Peripheral blood film — 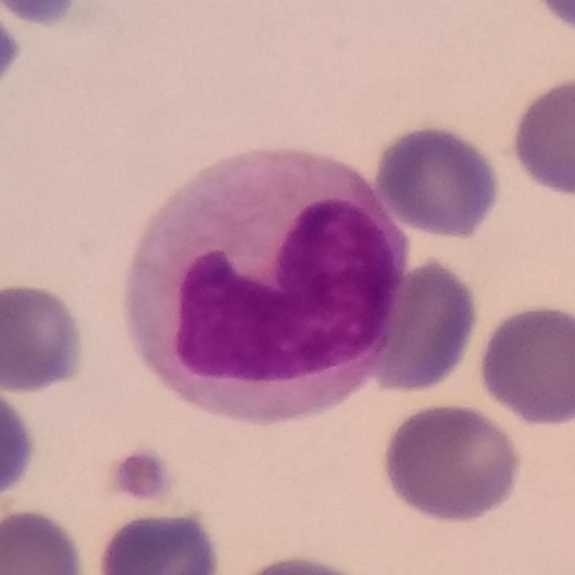

Morphology → monocyte.